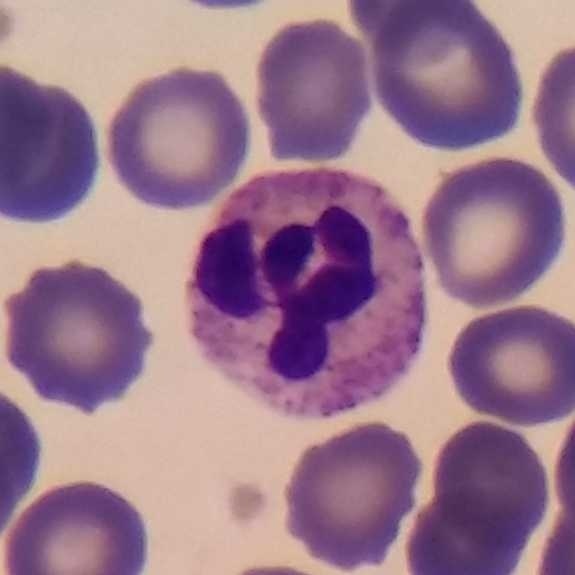 Specimen: peripheral blood smear.
Cell: neutrophilic granulocyte.
Acquisition: 575×575 px.